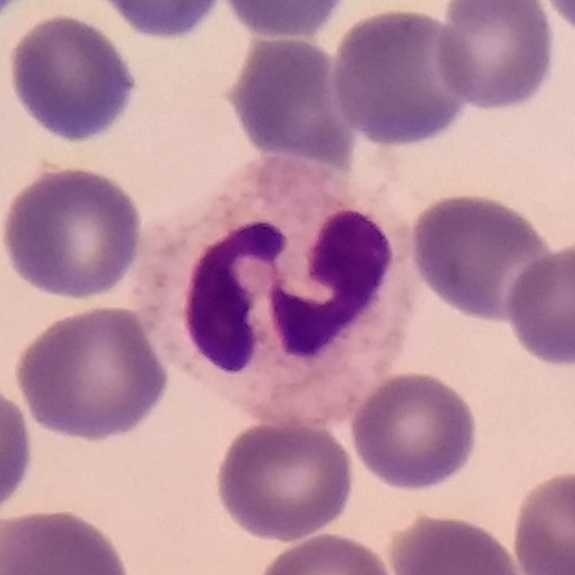Q: What cell is this?
A: A neutrophil.